Peripheral blood film. Single-cell crop. Stained with Giemsa:
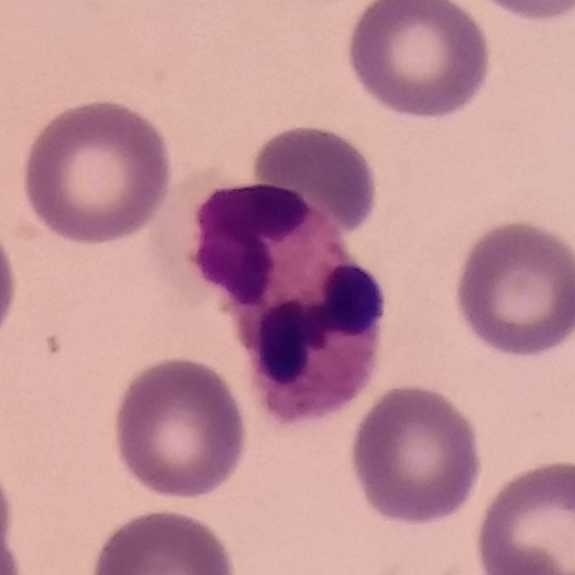

Neutrophilic granulocyte.